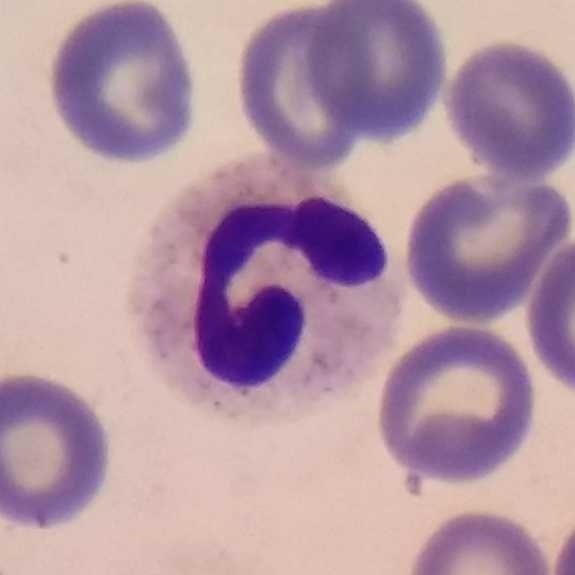

Morphology consistent with a neutrophilic granulocyte.